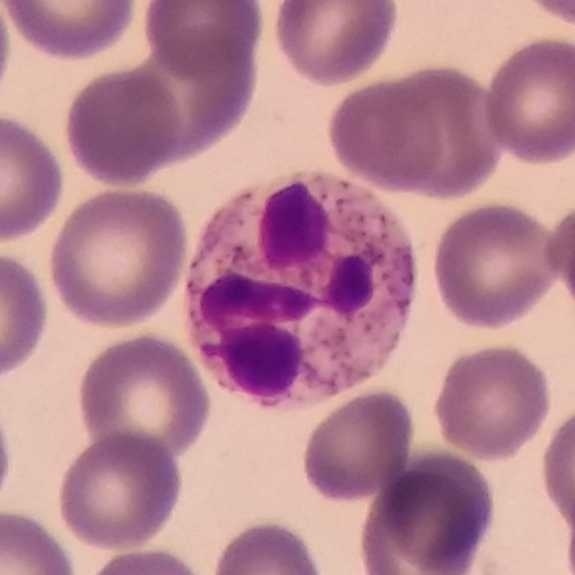

{"cell_type": "neutrophil granulocyte", "lineage": "myeloid"}
Acquisition: Imaged at 100×. Photographed through a light microscope with a smartphone camera. Peripheral blood film.